Peripheral blood smear — 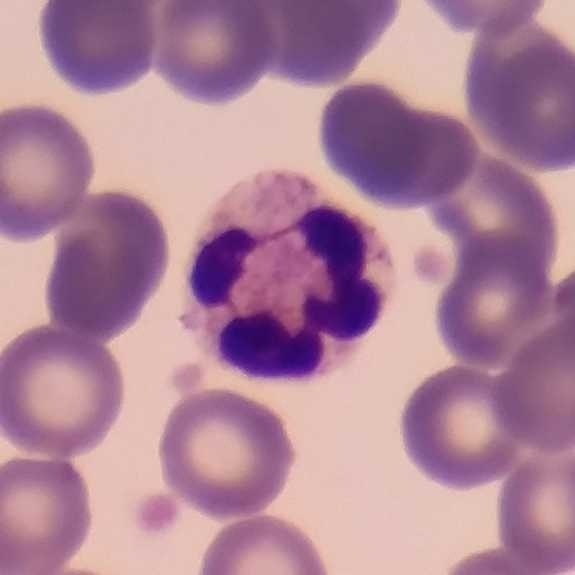Specimen: peripheral blood film.
Morphological class: neutrophil.
Lineage: myeloid.